Stained with Giemsa · smartphone photomicrograph · peripheral blood film
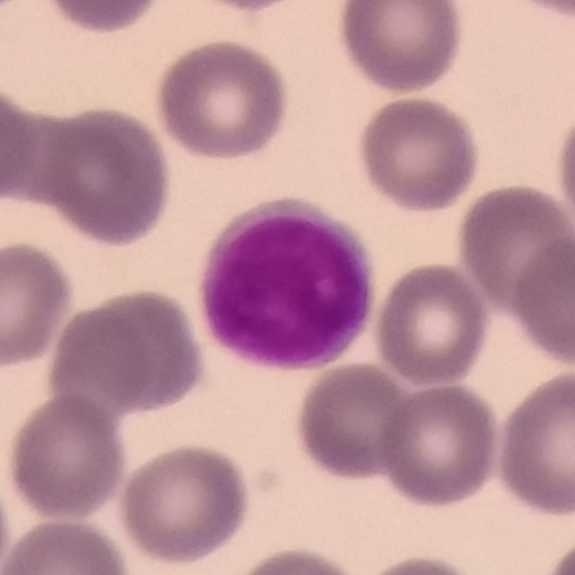

The white blood cell in this image is a lymphocyte.